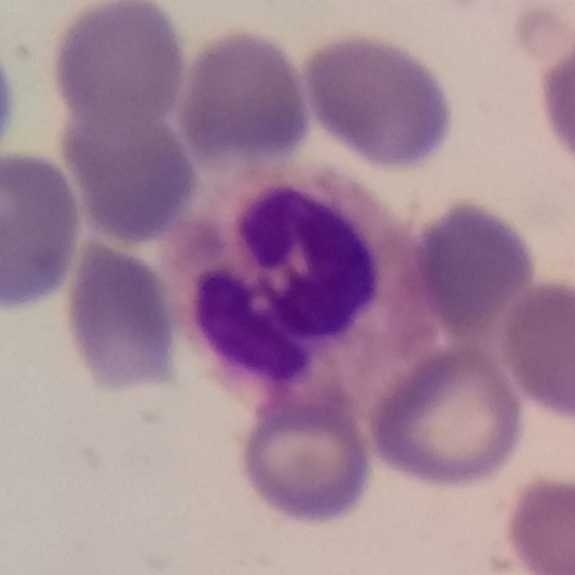 This is a neutrophilic granulocyte.

Acquisition: Peripheral blood smear. Imaged at 100×.